Smartphone photomicrograph. Peripheral blood film: 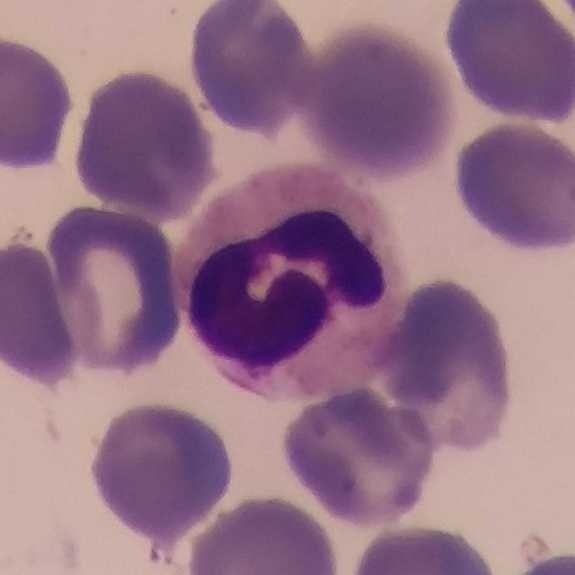Specimen: peripheral blood film.
Cell: neutrophil.